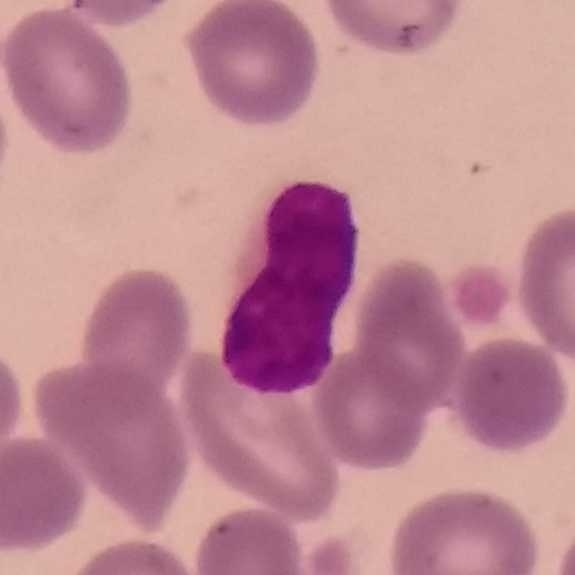 Image: Stained with Giemsa; peripheral blood film; smartphone photomicrograph.
Q: Classify this leukocyte.
A: This is a lymphocyte.